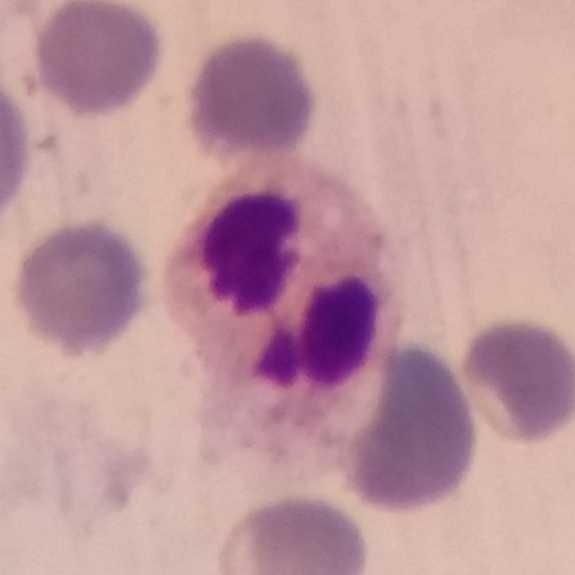

The cell shown is a neutrophil granulocyte.